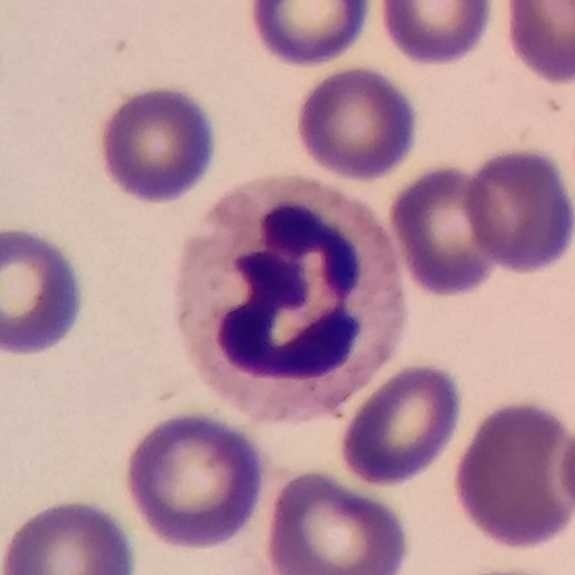 Classification = neutrophilic granulocyte.

Context: Magnification 100× · peripheral blood smear · 575 by 575 pixels.